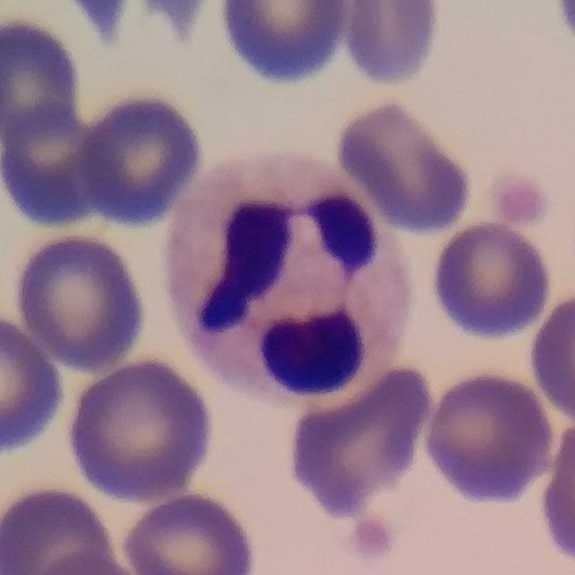

575 by 575 pixels; single-cell field; peripheral blood film. This is a neutrophil.